Photographed through a light microscope with a smartphone camera; peripheral blood film: 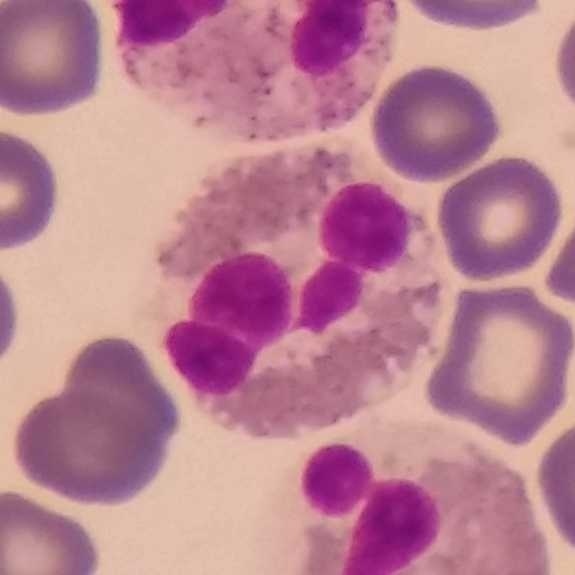
Specimen: peripheral blood smear.
Morphological class: eosinophil.
Lineage: myeloid.